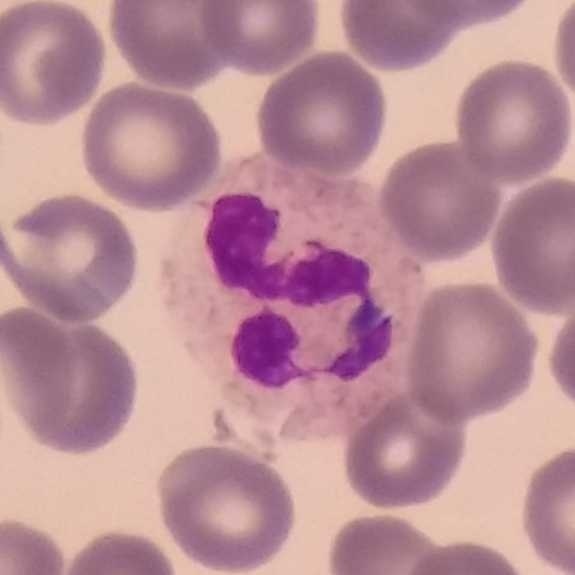
Context: Peripheral blood film. The classification is neutrophil.